Peripheral blood smear. 575×575. Photographed through a light microscope with a smartphone camera
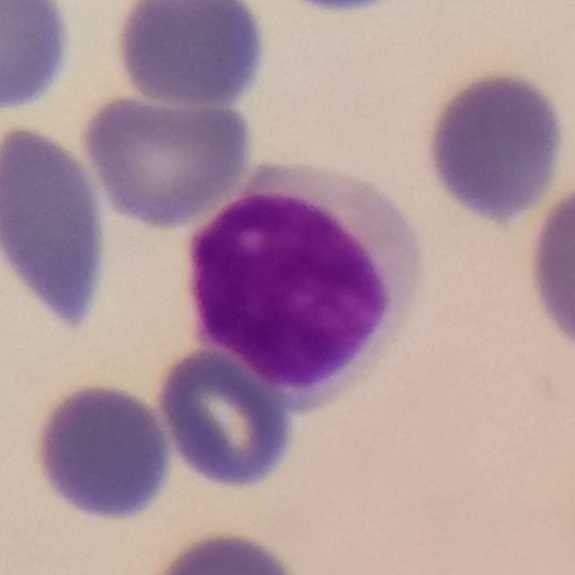 White blood cell type: lymphocyte.